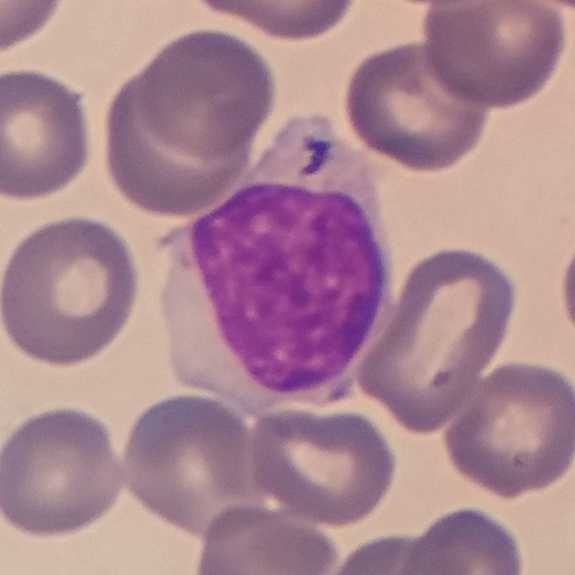

Cell: lymphocyte.